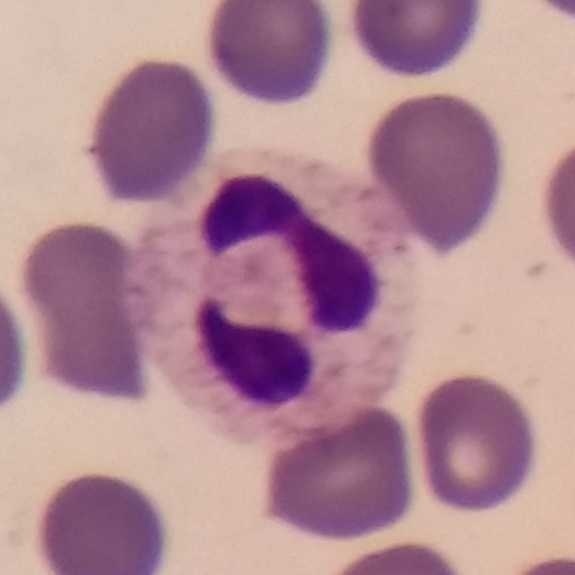 The cell shown is a neutrophil granulocyte.

Image: Peripheral blood film.